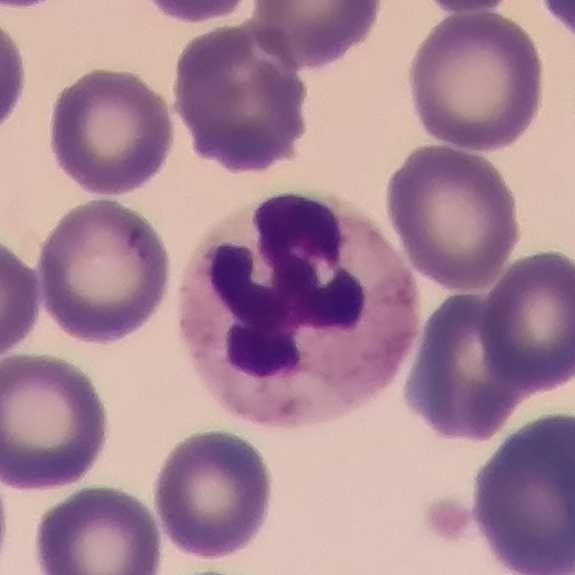This is a neutrophil granulocyte.
Peripheral blood film; 100× magnification.